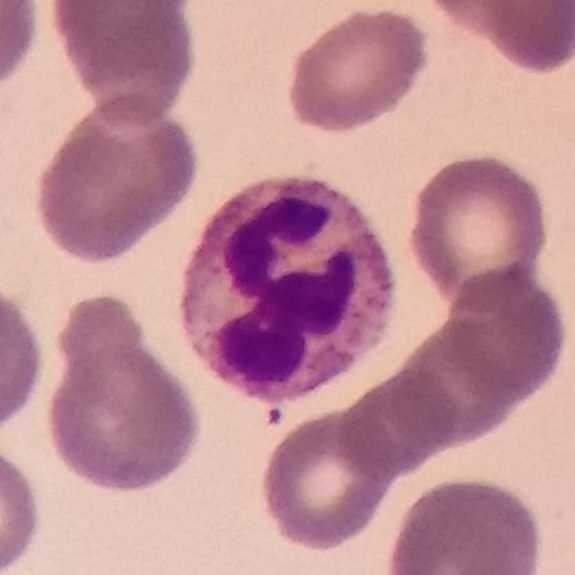 Acquisition: Peripheral blood smear · 575×575 px.

Classification: neutrophilic granulocyte.